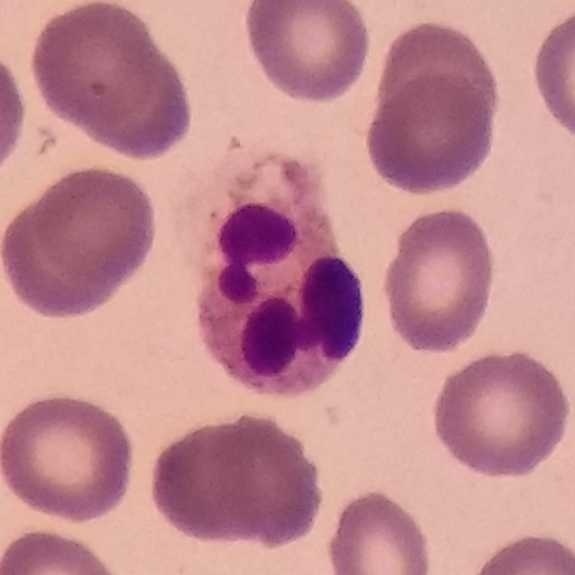Q: What cell is this?
A: It is a neutrophilic granulocyte.